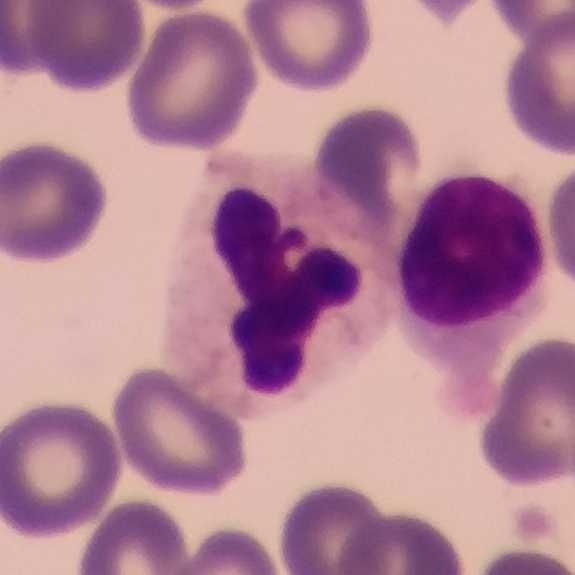Image: Peripheral blood film · smartphone camera mounted on the microscope eyepiece. Single cell identified as a neutrophilic granulocyte.